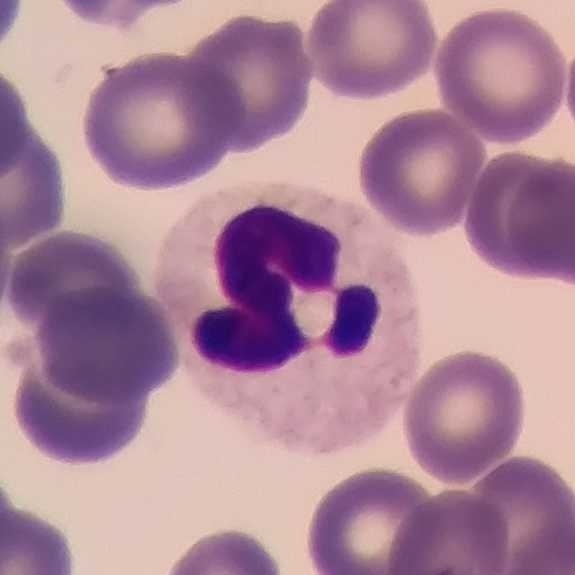
Acquisition: Single white blood cell cropped from the smear photograph. Peripheral blood film. Cell type — neutrophil.